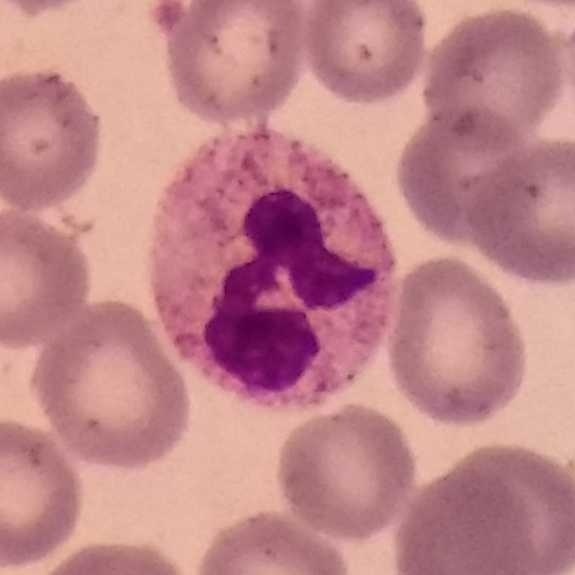
Specimen: peripheral blood film.
Classification: neutrophil granulocyte.